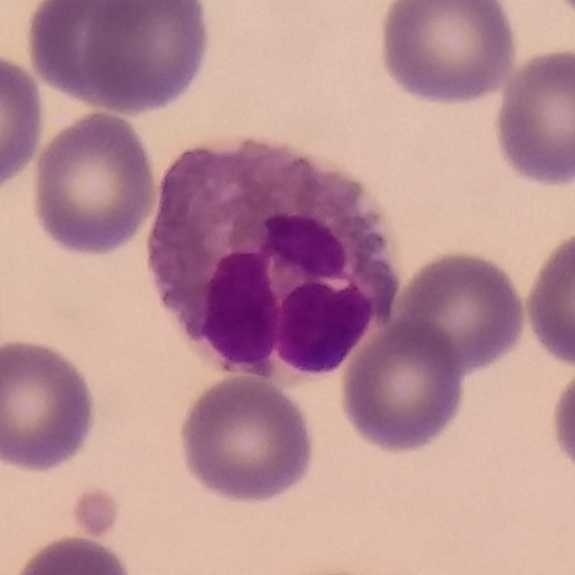Specimen: peripheral blood film.
Cell type: eosinophilic granulocyte.
Lineage: myeloid.